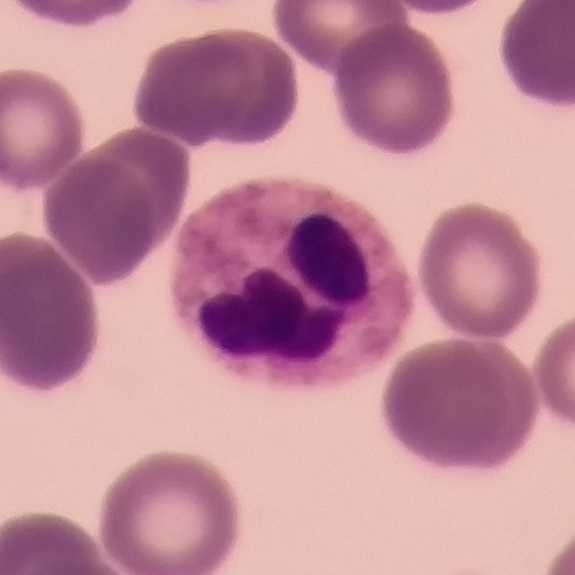Specimen: peripheral blood smear.
Morphological class: neutrophil.
Lineage: myeloid.